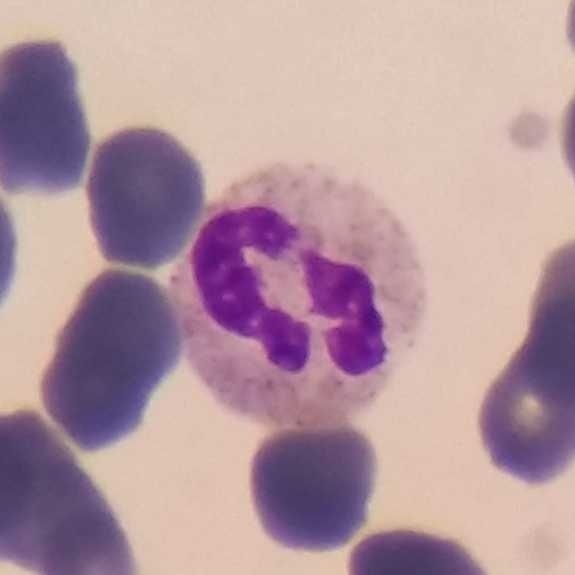Impression → neutrophilic granulocyte.